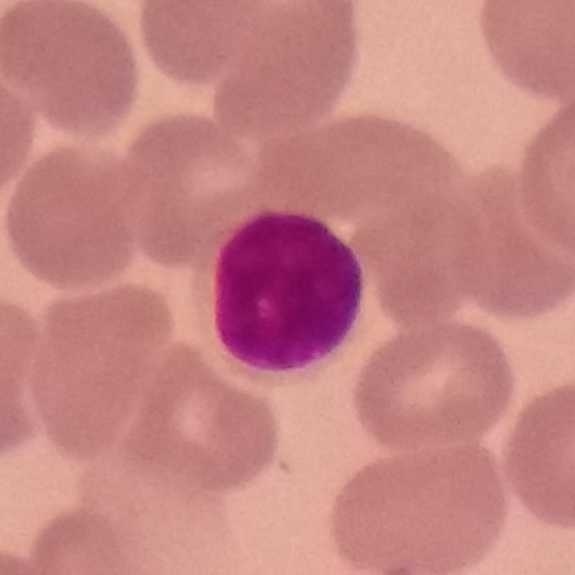
Image: Peripheral blood film. Classification: lymphocyte.